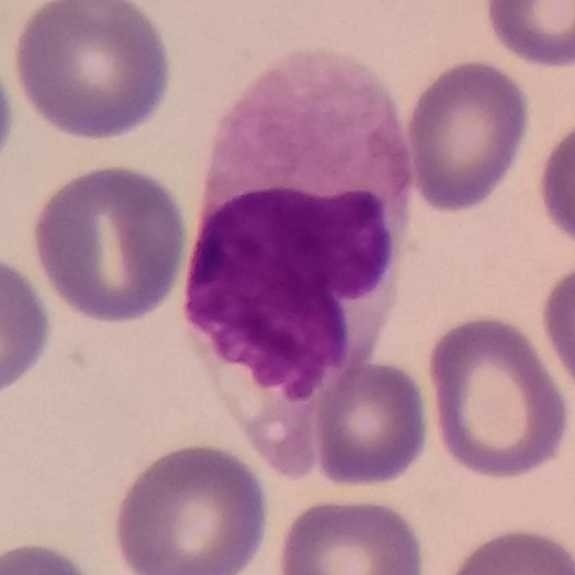
Preparation: Peripheral blood smear. Monocyte.